Peripheral blood film
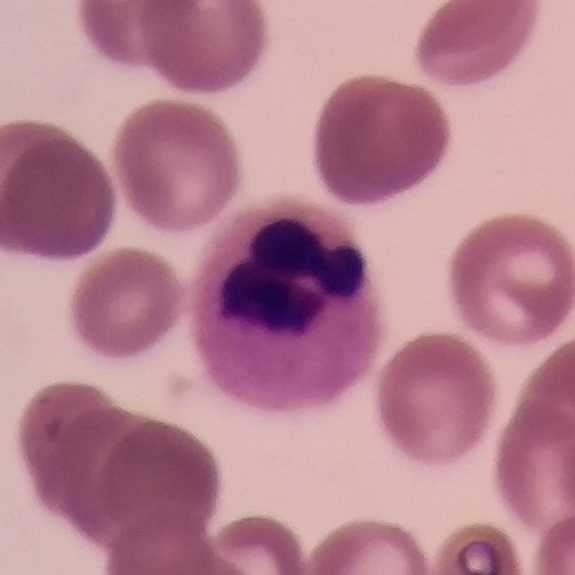

Q: What type of cell is this?
A: This is a neutrophilic granulocyte.